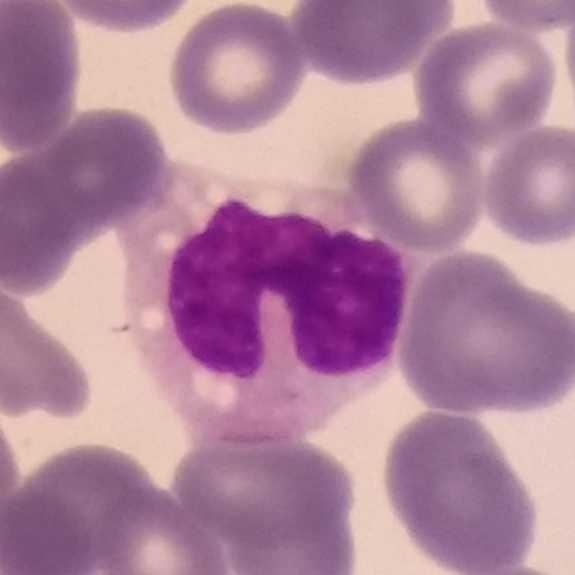

Image: Peripheral blood smear. Cell type: monocyte.